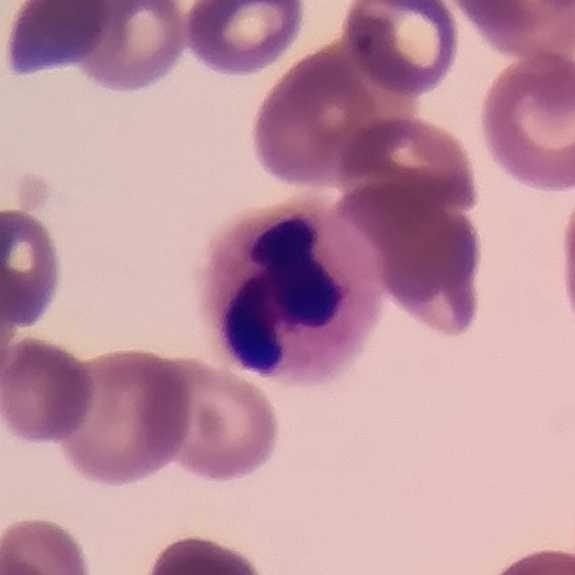 White blood cell type — neutrophil granulocyte.
Preparation: Single-cell crop · peripheral blood smear.